Peripheral blood smear. Imaged at 100×: 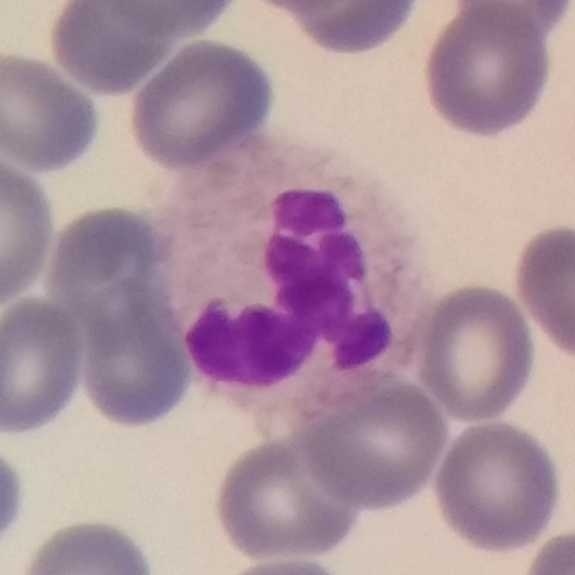
Specimen: peripheral blood smear.
Classification: neutrophil granulocyte.
Lineage: myeloid.